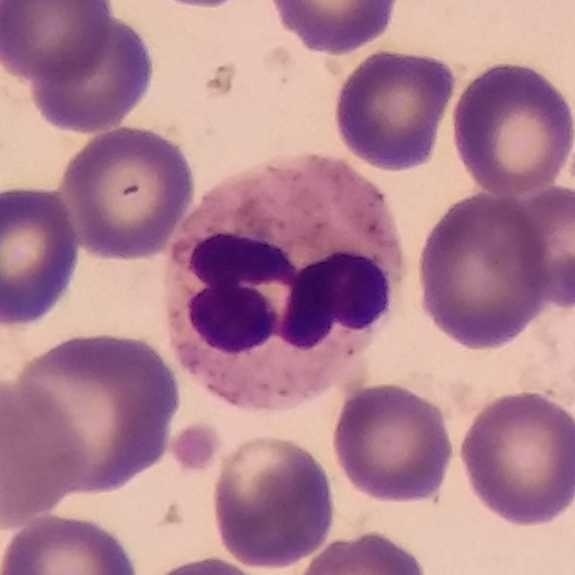

Preparation: Phone-camera image taken through the microscope ocular; peripheral blood smear; magnification 100×.

Single cell identified as a neutrophilic granulocyte.